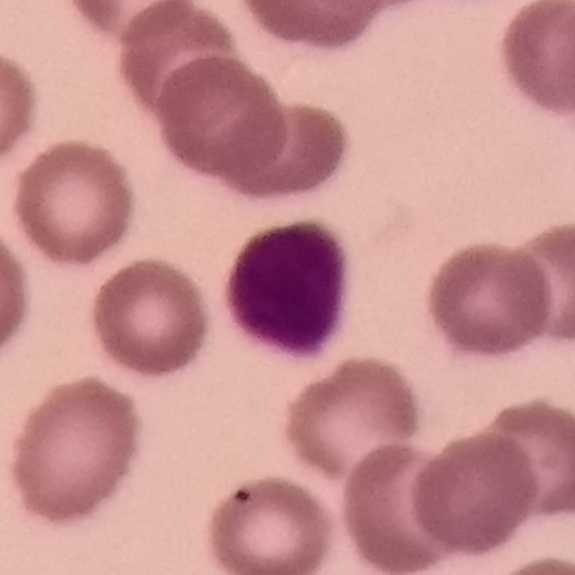Image: Peripheral blood smear. The cell is lymphocyte.